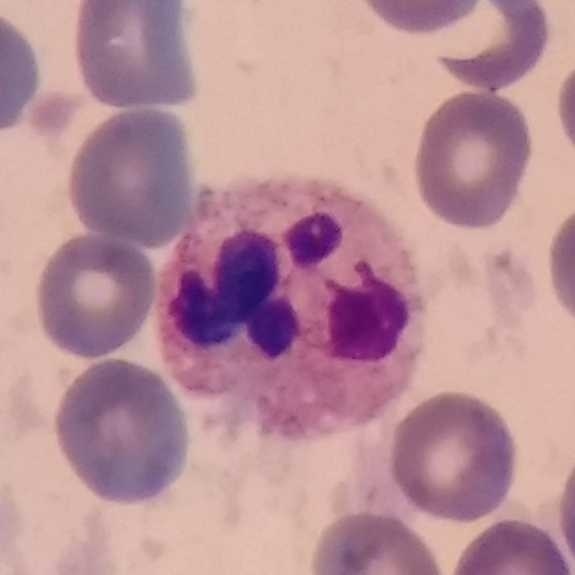

A neutrophil granulocyte. Preparation: Peripheral blood smear · image size 575×575 · single-cell field.